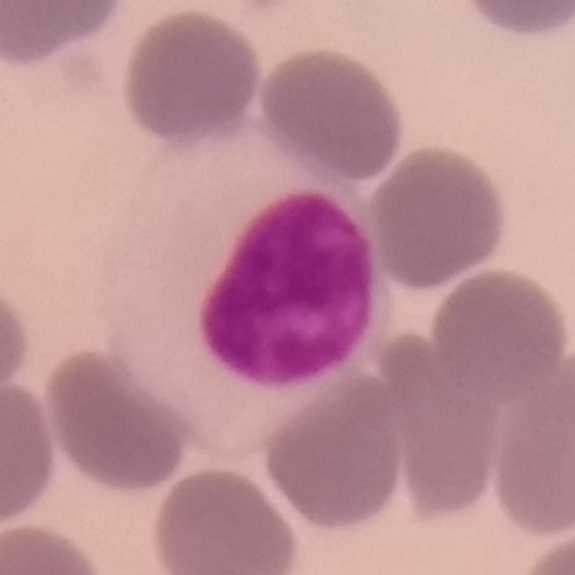

Specimen: peripheral blood smear.
Cell: lymphocyte.